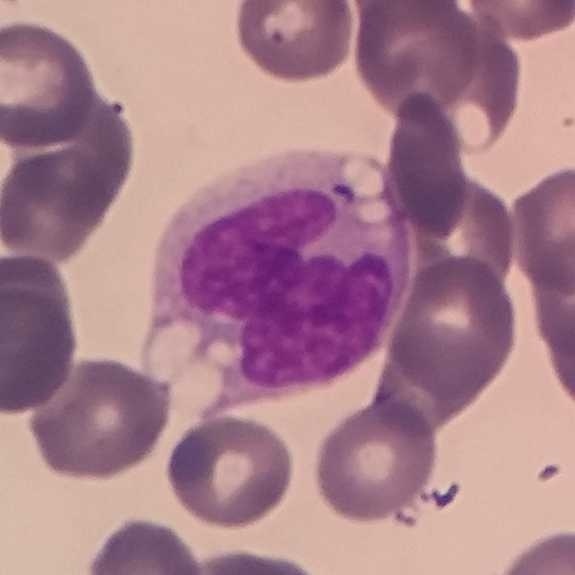
Specimen: peripheral blood smear.
Classification: monocyte.
Lineage: myeloid.

Acquisition: Single white blood cell cropped from the smear photograph.